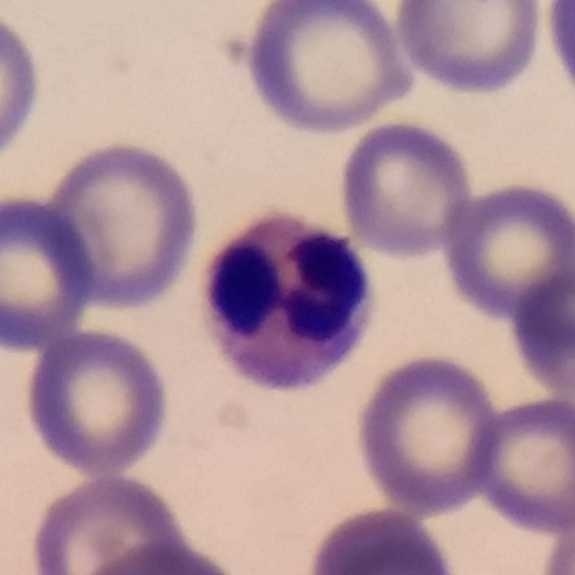
This is a neutrophil granulocyte. Peripheral blood smear.